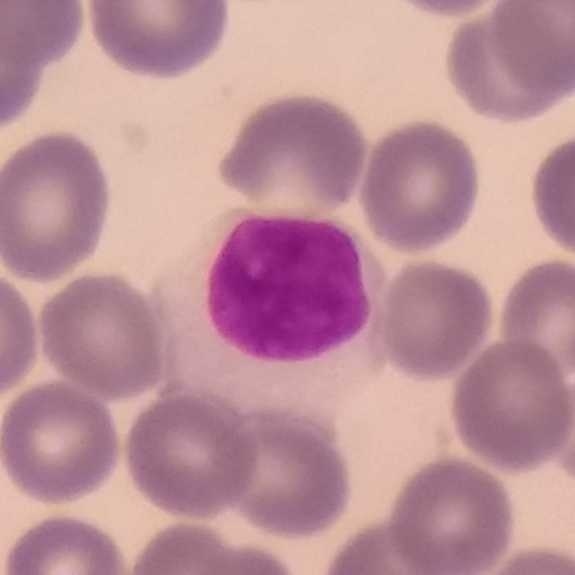

Preparation: Peripheral blood film; magnification 100×.

Classification = lymphocyte.